Peripheral blood smear:
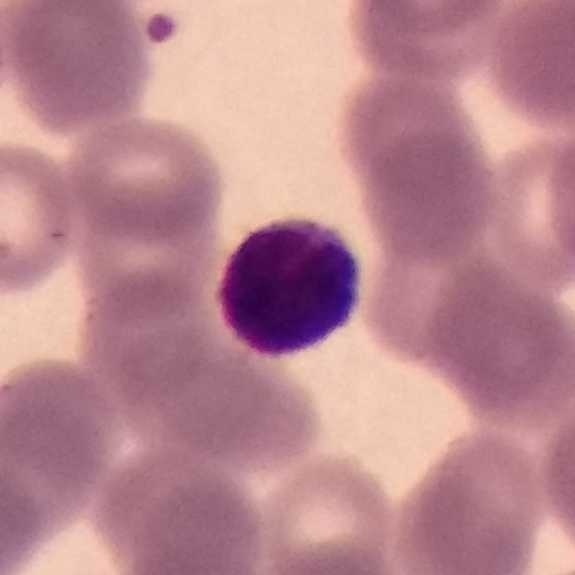

Impression → lymphocyte.